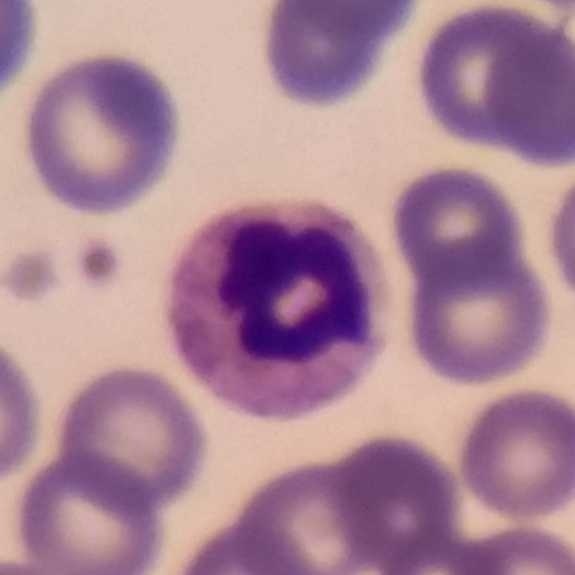
{"cell_type": "neutrophil granulocyte"} Image: Stained with Giemsa; peripheral blood film.